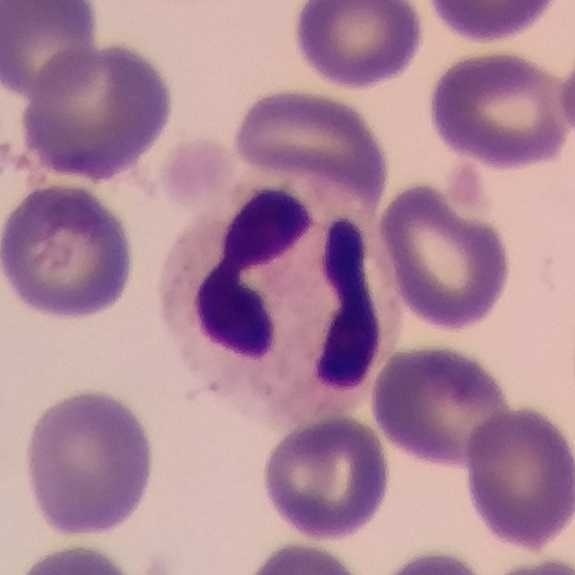 Identified as a neutrophil granulocyte. Acquisition: Peripheral blood smear.